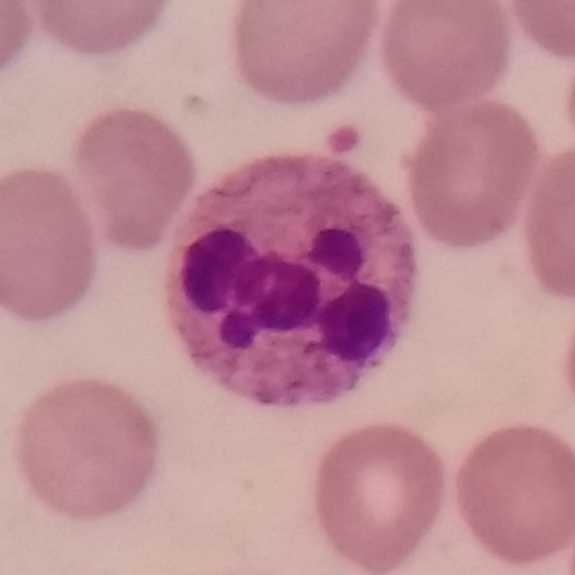
This is a neutrophil granulocyte.

Acquisition: Photographed through a light microscope with a smartphone camera. Peripheral blood film.